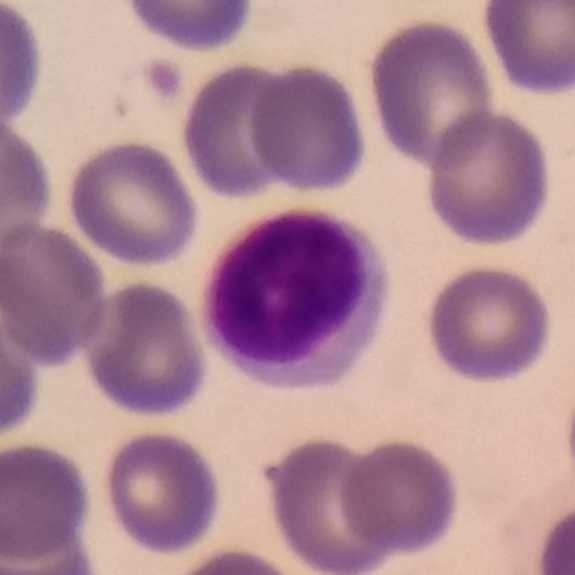
Q: What is shown here?
A: Lymphocyte.

Acquisition: Photographed through a light microscope with a smartphone camera; peripheral blood smear.